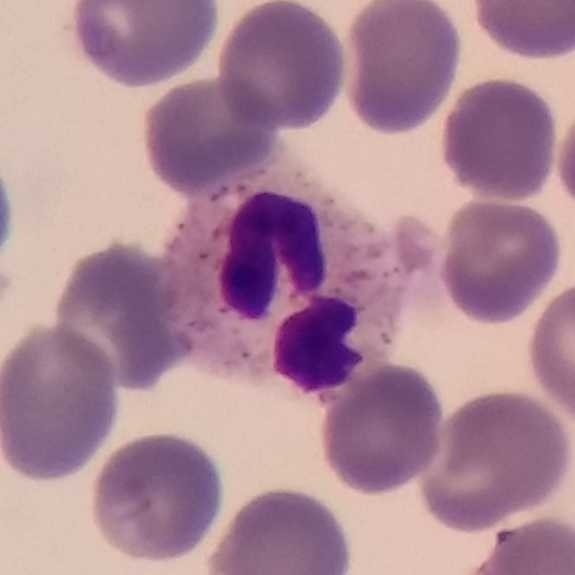

The cell type is neutrophil granulocyte. Preparation: Peripheral blood smear.